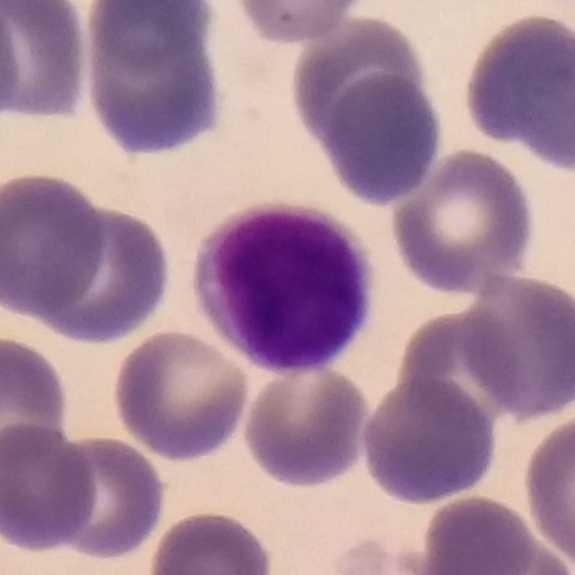

Cell type: lymphocyte.
Preparation: Peripheral blood smear.